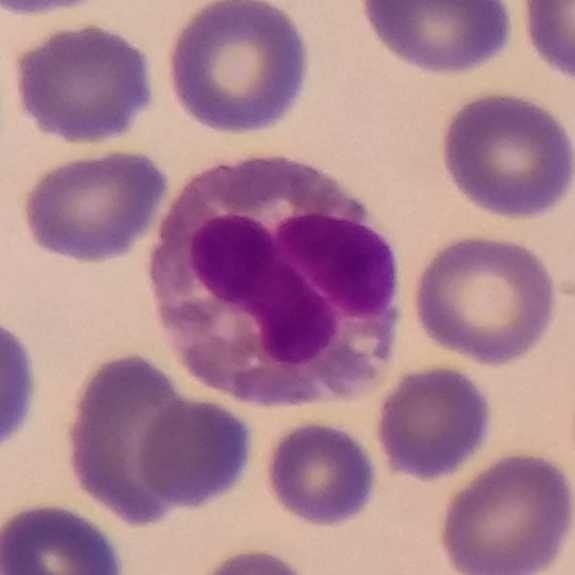
The white blood cell in this image is an eosinophil.